Image size 575×575 · Giemsa-stained · peripheral blood film: 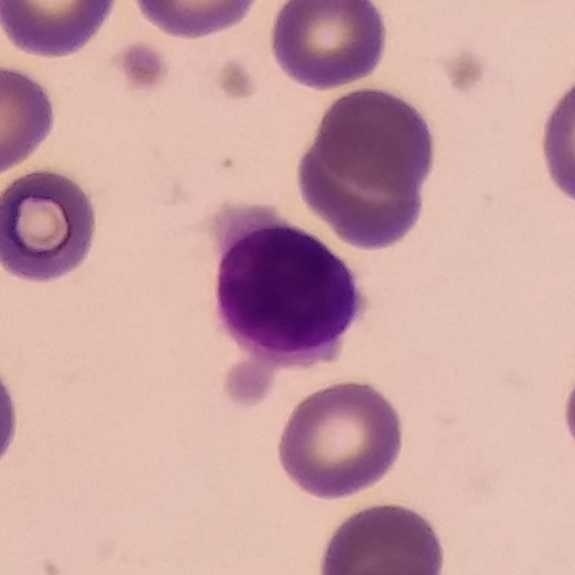Showing a lymphocyte.